Peripheral blood film. Giemsa stain:
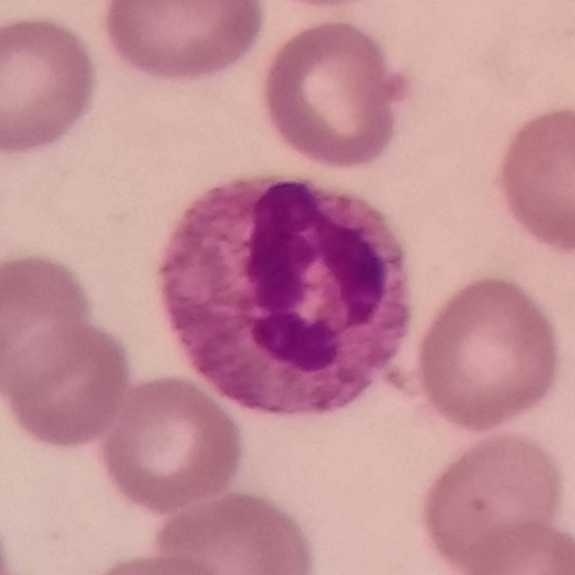The cell shown is a neutrophil.